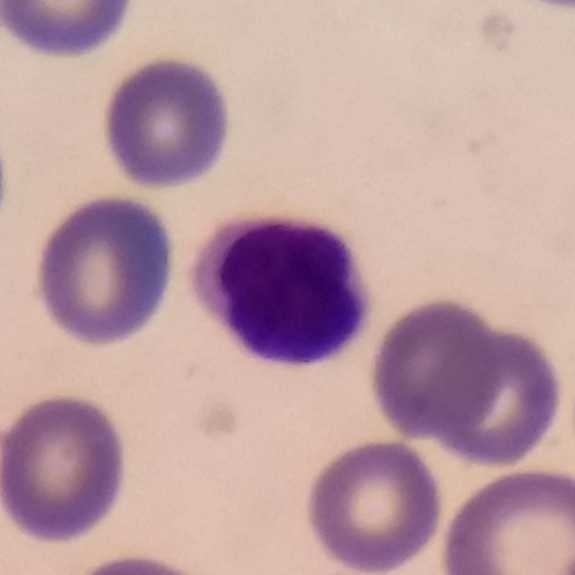Q: Identify the cell.
A: It is a lymphocyte.
Peripheral blood film.